Peripheral blood smear; Giemsa stain.
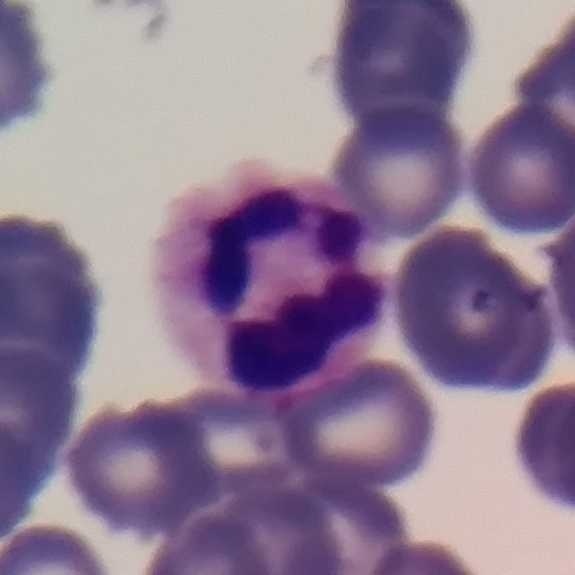
Q: What is this?
A: Neutrophil.